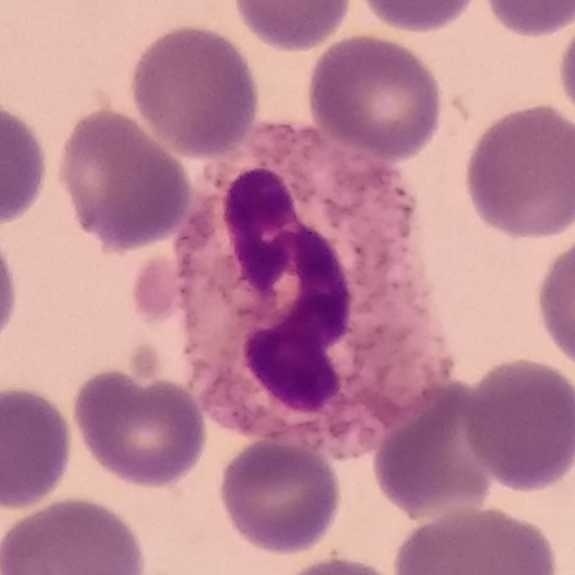
Acquisition: Peripheral blood film.
Identified as a neutrophilic granulocyte.